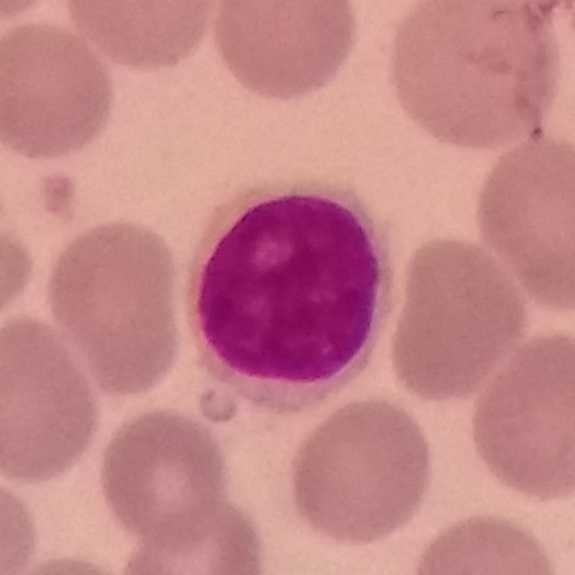

Lymphocyte.

Context: Peripheral blood smear.